Peripheral blood film. Single-cell crop — 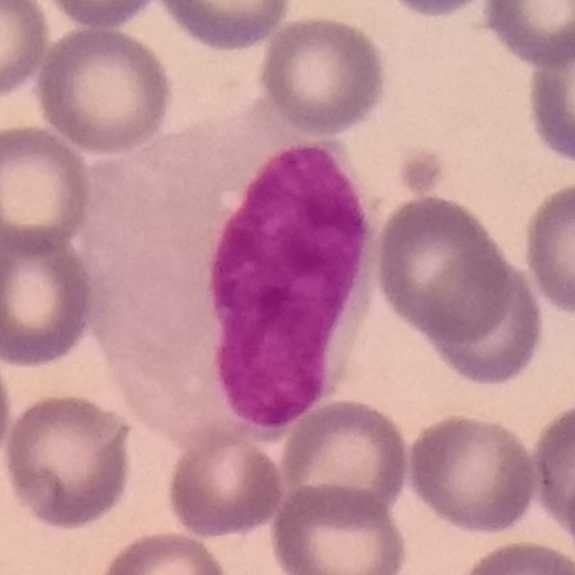
Specimen: peripheral blood film.
White blood cell type: monocyte.
Lineage: myeloid.